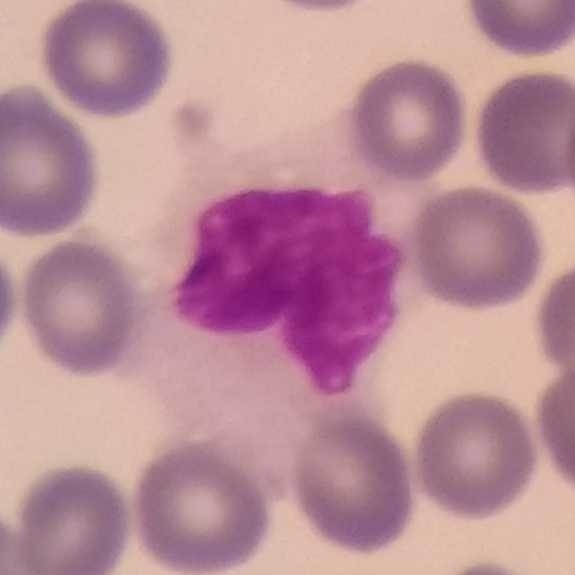 Preparation: Peripheral blood smear.

Impression — monocyte.